Peripheral blood film. Magnification 100×
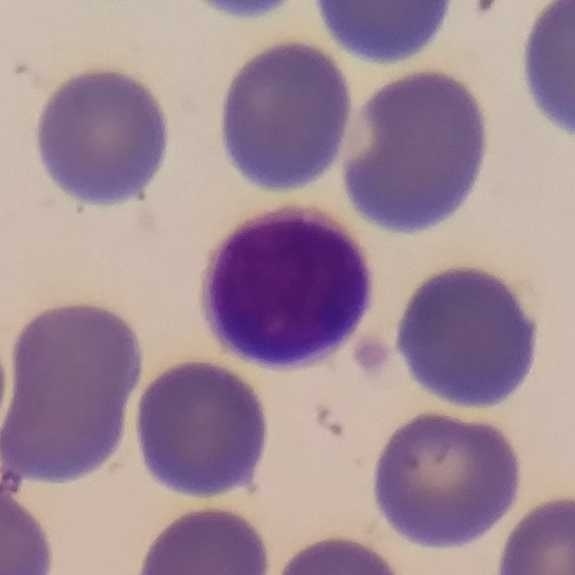 Cell type: lymphocyte.